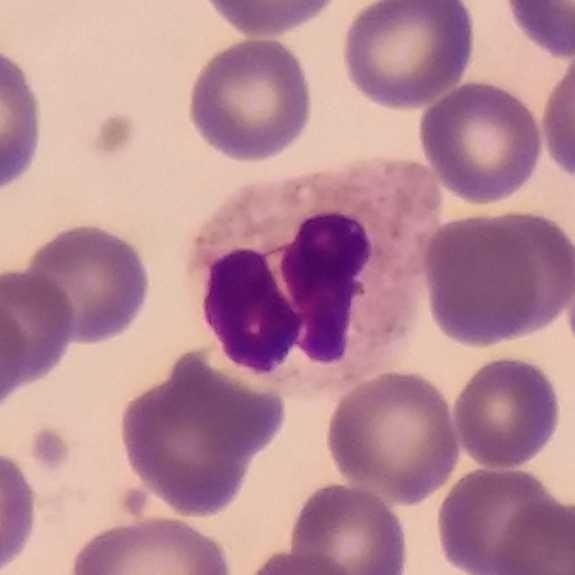Specimen: peripheral blood film.
Morphological class: neutrophil.
Lineage: myeloid.